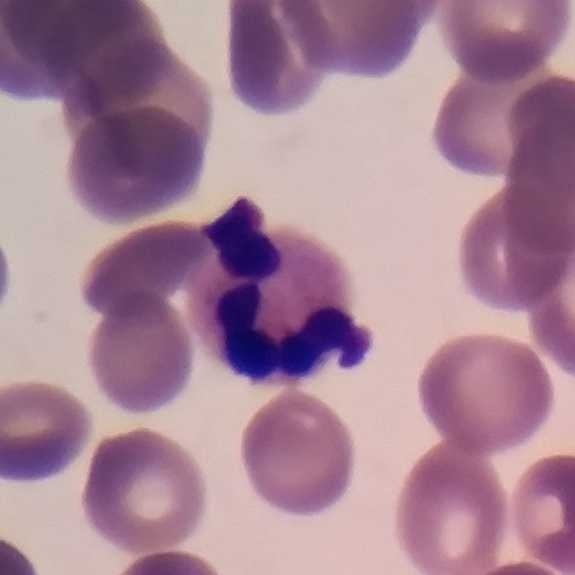Specimen: peripheral blood film.
Cell: neutrophil granulocyte.